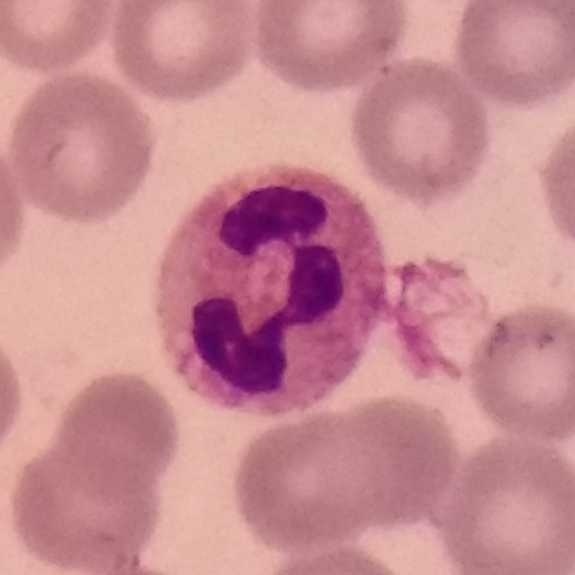

Peripheral blood smear.
Morphological class — neutrophil granulocyte.